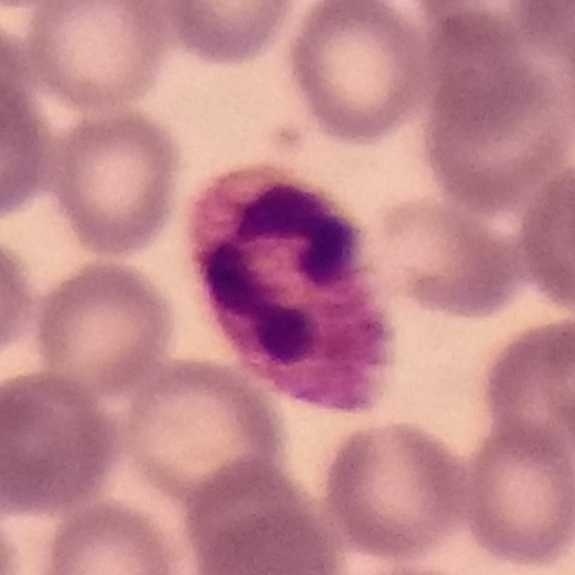Q: Which type of white blood cell is this?
A: Neutrophilic granulocyte.
Context: Peripheral blood film.